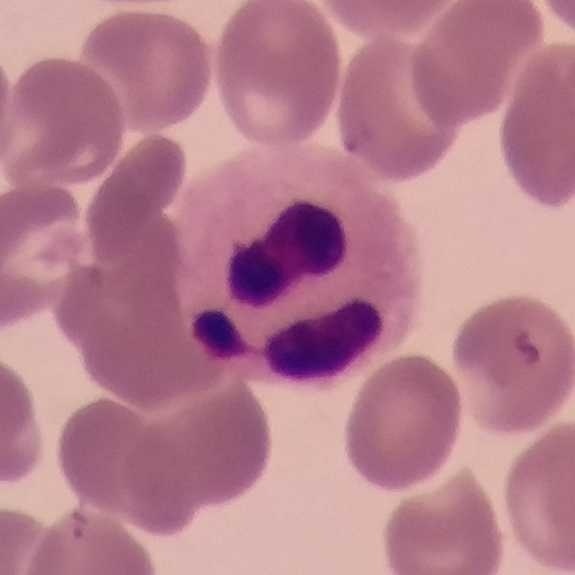Impression → neutrophilic granulocyte. Acquisition: Peripheral blood smear.